Peripheral blood smear. Single white blood cell cropped from the smear photograph
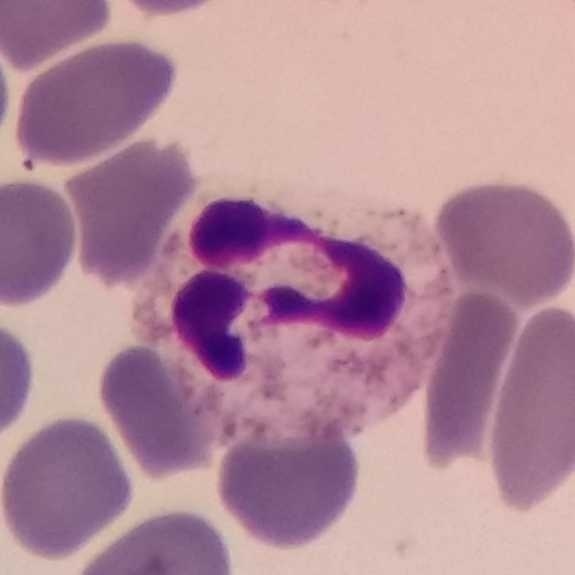 Single cell identified as a neutrophil.